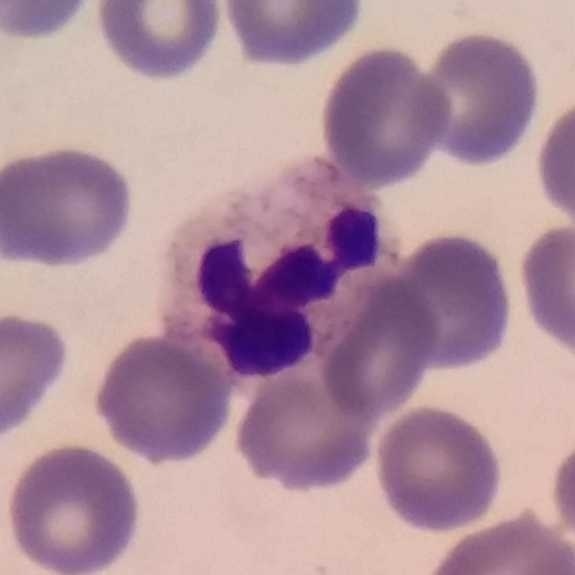 Peripheral blood film.
The cell shown is a neutrophil granulocyte.